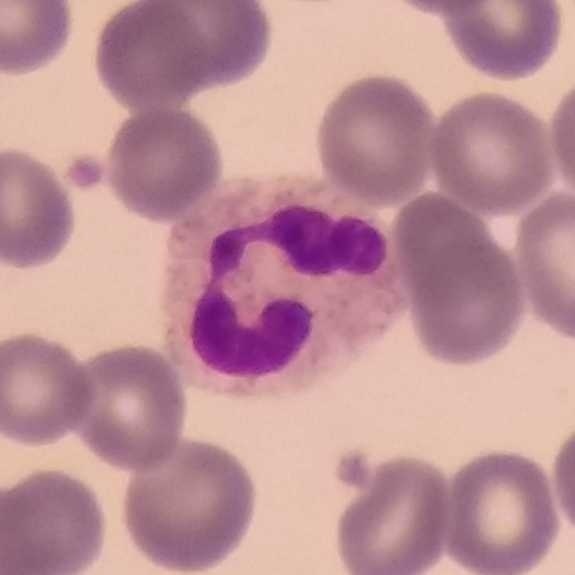
This is a neutrophilic granulocyte.

Image: 575 by 575 pixels. Peripheral blood smear. Imaged at 100×.